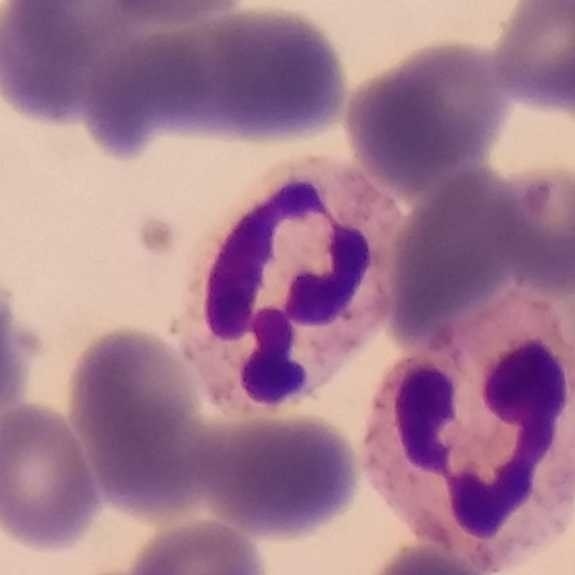A neutrophilic granulocyte.